Peripheral blood smear · 100× magnification · phone-camera image taken through the microscope ocular — 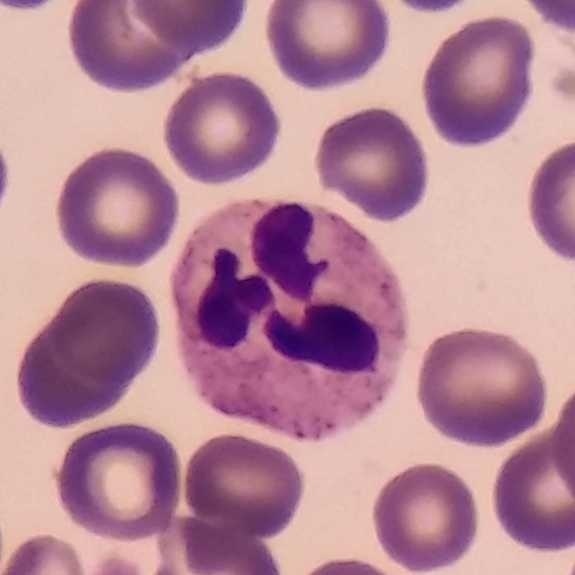 The white blood cell in this image is a neutrophilic granulocyte.